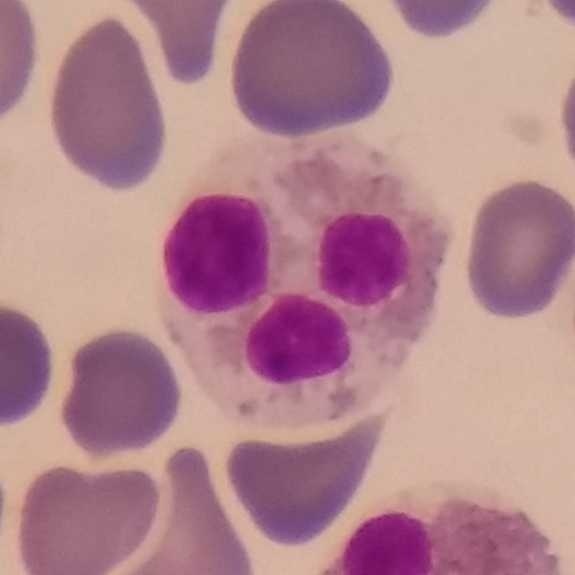
Preparation: Smartphone photomicrograph · peripheral blood smear.
Classification = eosinophilic granulocyte.